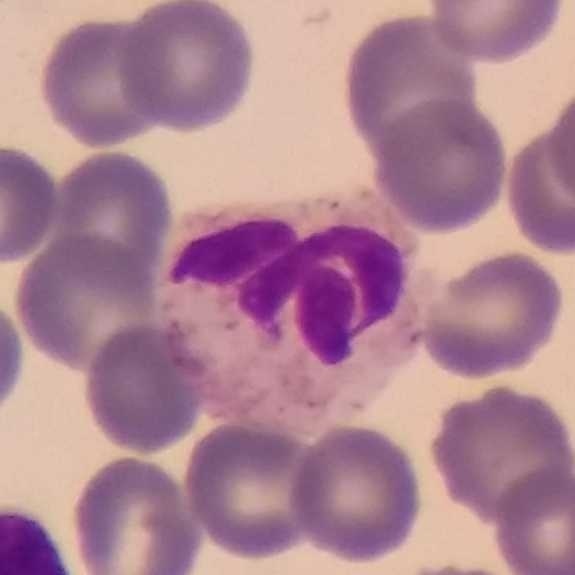 Identified as a neutrophil.

Preparation: Peripheral blood film.